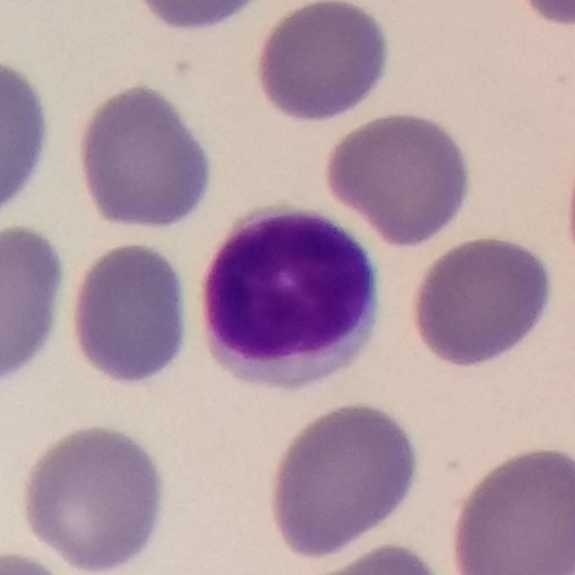

White blood cell type — lymphocyte. Preparation: Peripheral blood smear.